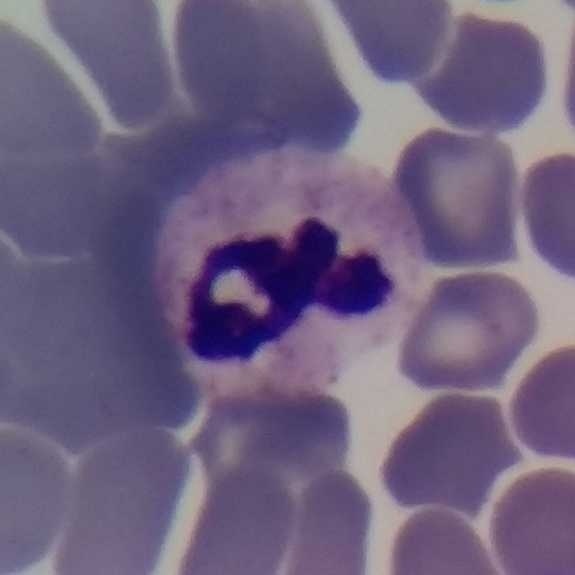

Specimen: peripheral blood smear.
Cell type: neutrophilic granulocyte.
Lineage: myeloid.